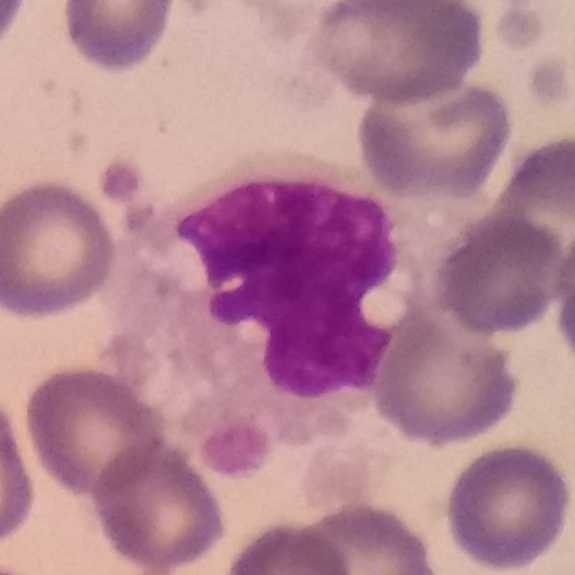A monocyte.